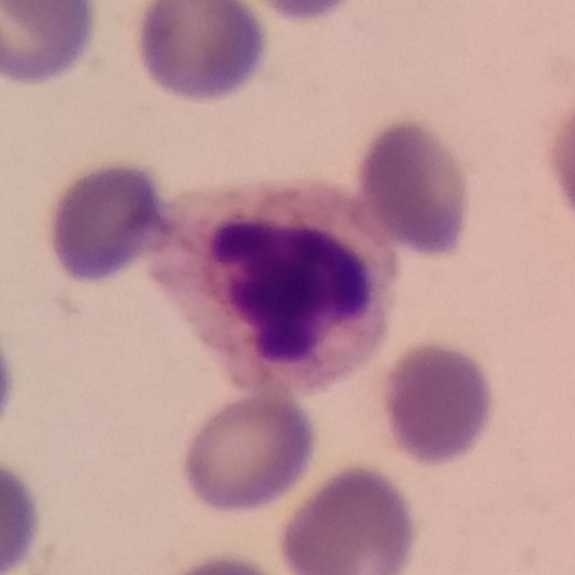

Image: Peripheral blood smear · photographed through a light microscope with a smartphone camera. The cell shown is a neutrophil granulocyte.